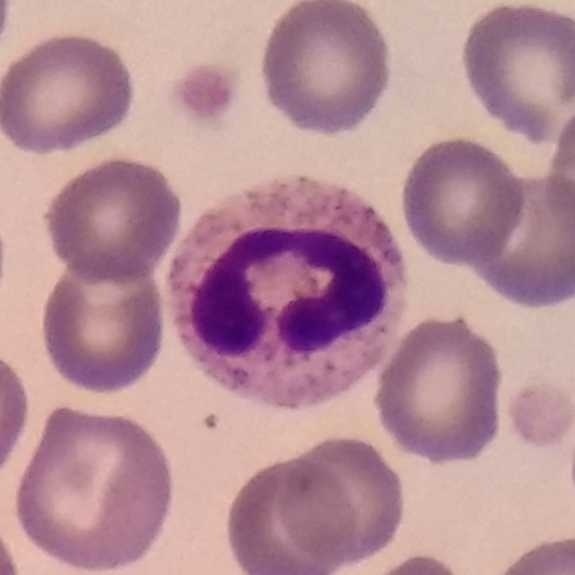 The cell shown is a neutrophil granulocyte.

Preparation: Image size 575×575; peripheral blood smear.